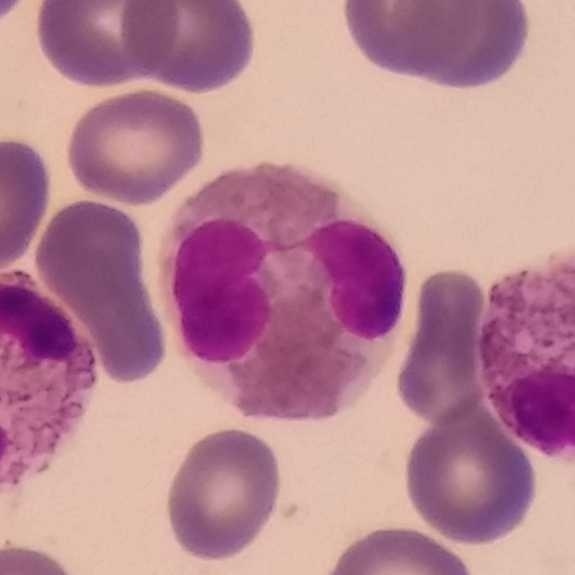Peripheral blood smear.
Q: What is shown here?
A: This is an eosinophilic granulocyte.